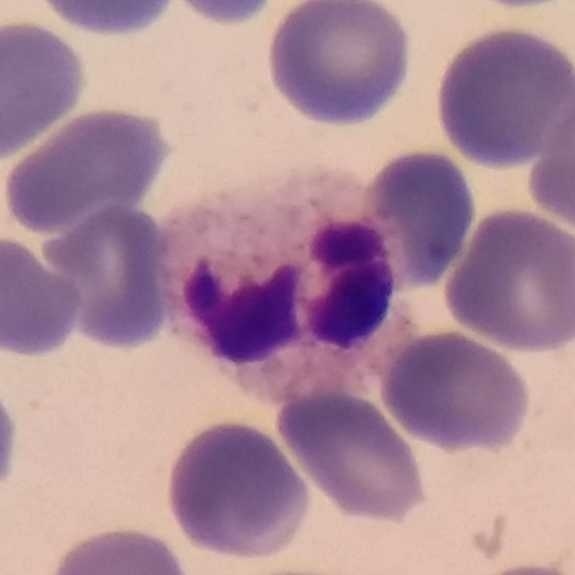

Preparation: Peripheral blood smear · single-cell crop. Cell = neutrophil granulocyte.